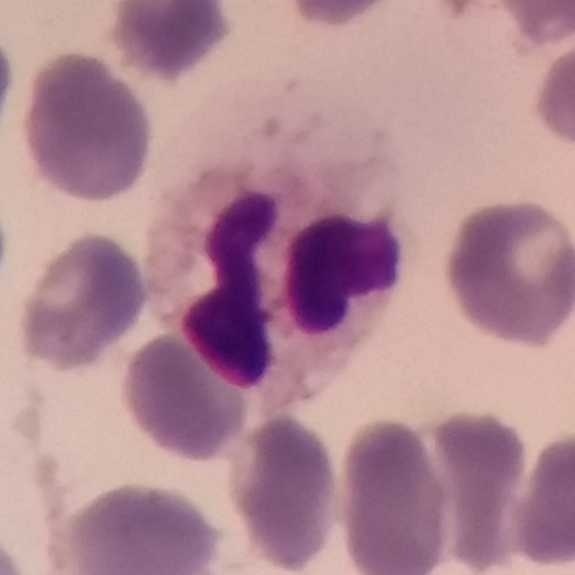 {"cell_type": "neutrophil", "lineage": "myeloid"}